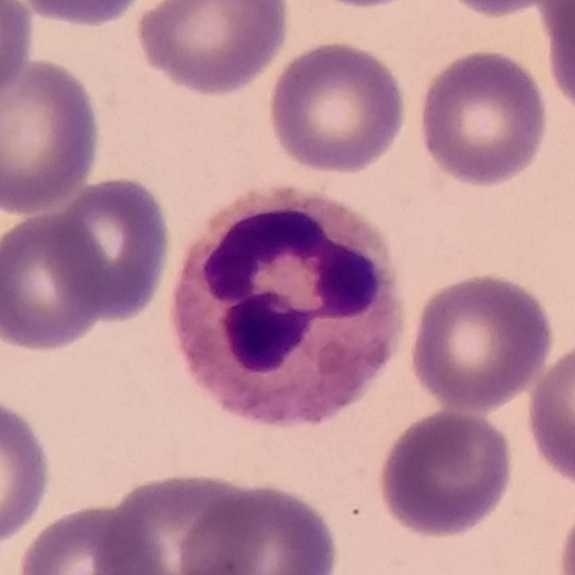Morphology — neutrophil.